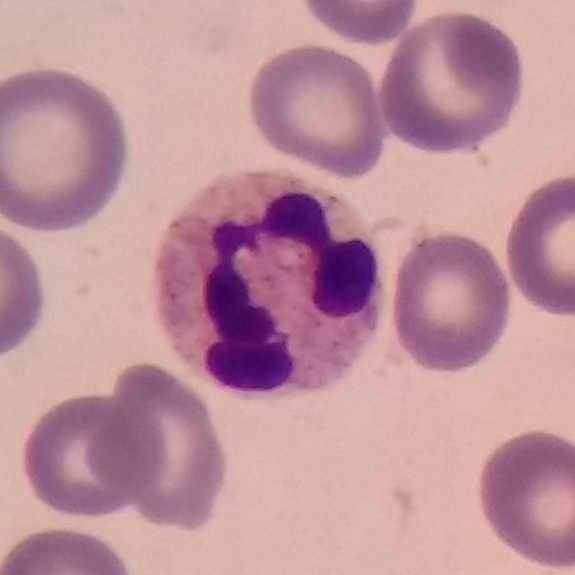

This is a neutrophil.

Peripheral blood smear.